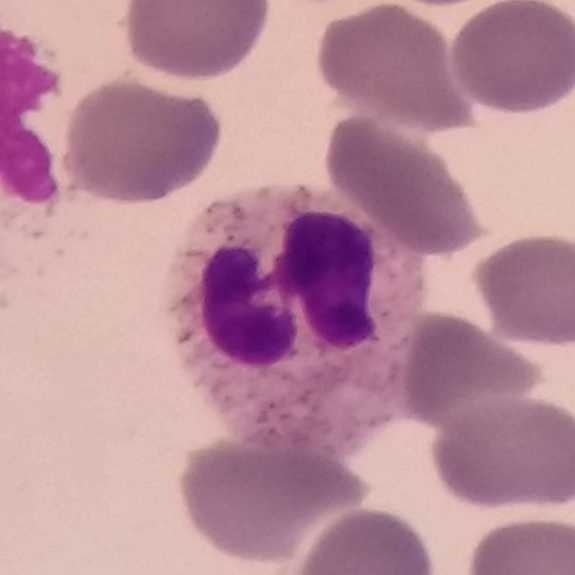
Cell type — neutrophilic granulocyte.
Image: Peripheral blood film. Stained with Giemsa.